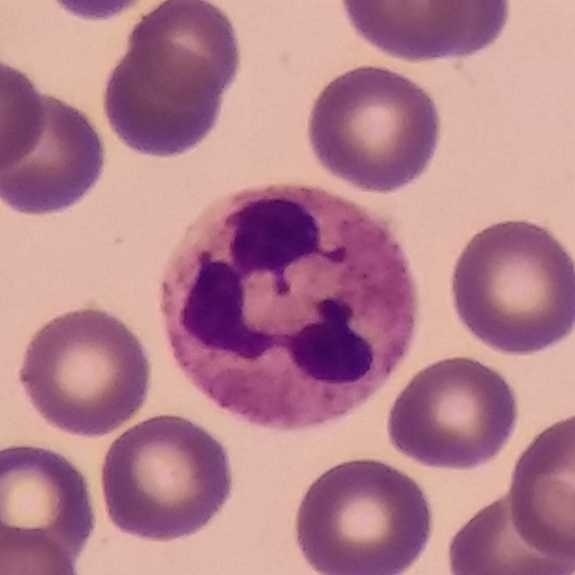 Q: Which cell type is shown here?
A: This is a neutrophilic granulocyte.